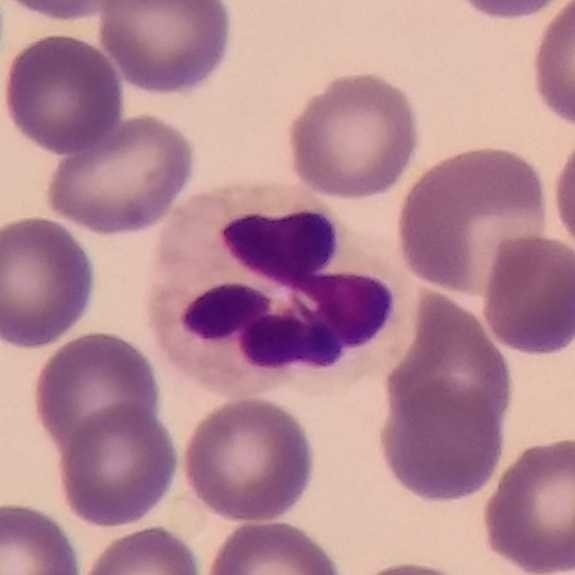
White blood cell type — neutrophilic granulocyte.